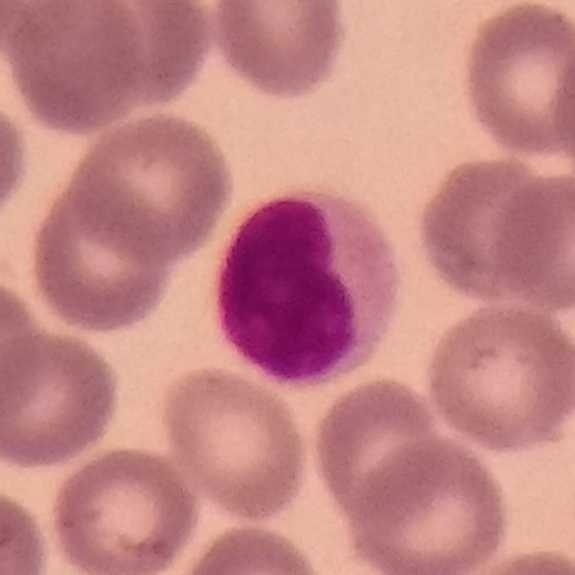
Specimen: peripheral blood smear.
White blood cell type: lymphocyte.